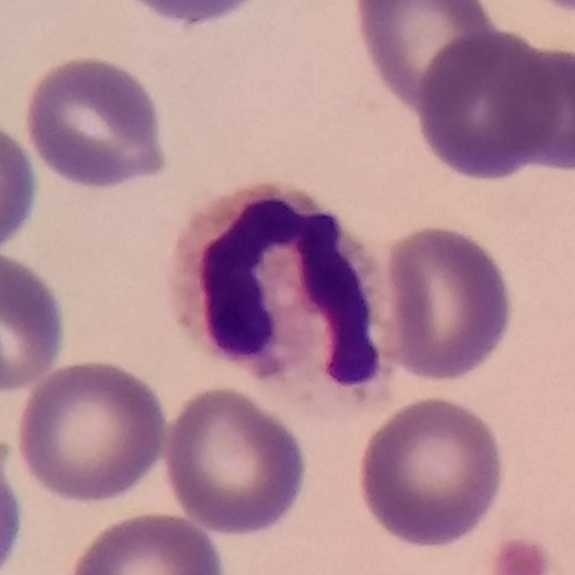Impression — neutrophil. Context: Peripheral blood film. Smartphone photomicrograph. Magnification 100×.